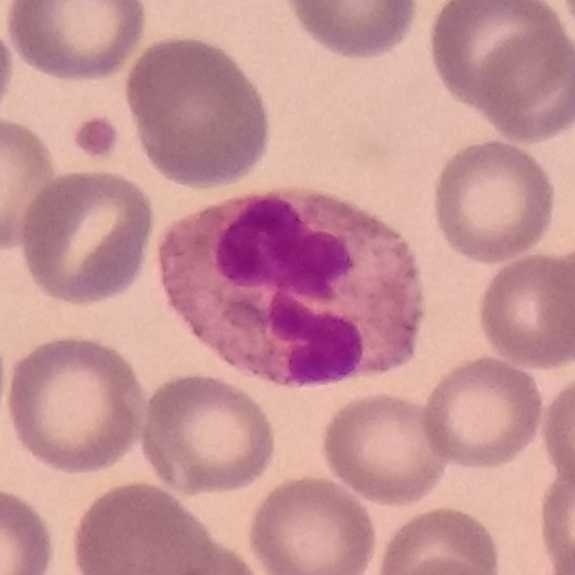Acquisition: Peripheral blood smear · 575×575 px. Neutrophilic granulocyte.